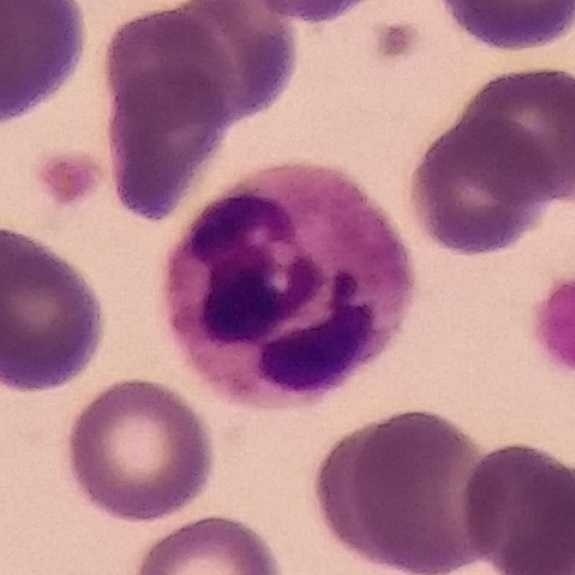
Classification: neutrophil granulocyte.